Peripheral blood smear
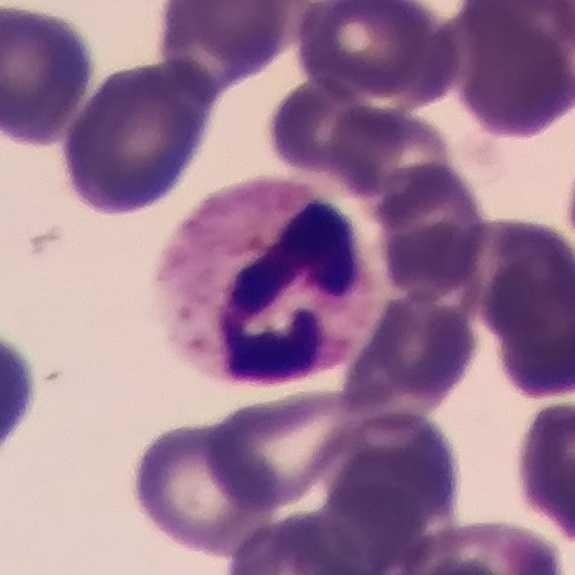 The morphological class is neutrophilic granulocyte.